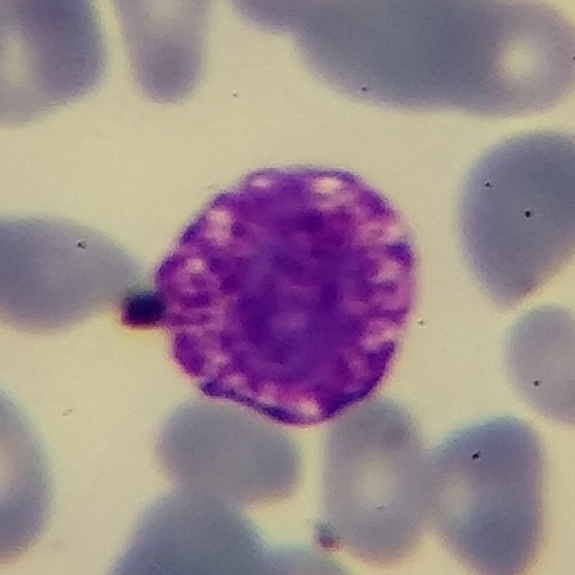

Classification = basophilic granulocyte.

Image: Smartphone camera mounted on the microscope eyepiece. 575×575. Peripheral blood film.